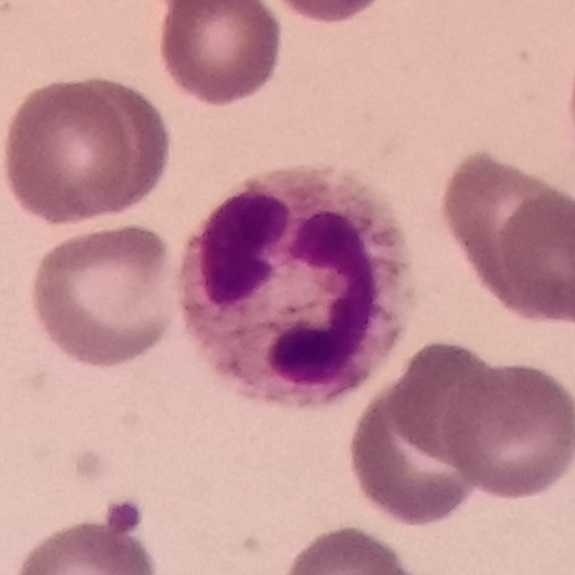Acquisition: Peripheral blood smear.
Q: What is the morphological classification of this cell?
A: It is a neutrophil.